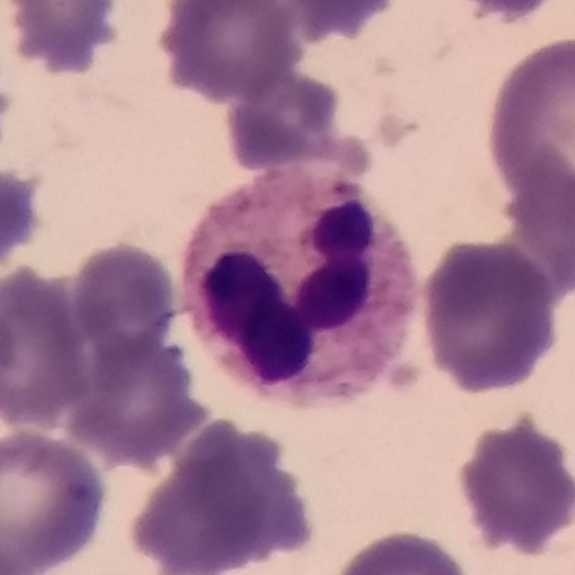
Specimen: peripheral blood smear.
Classification: neutrophilic granulocyte.
Lineage: myeloid.